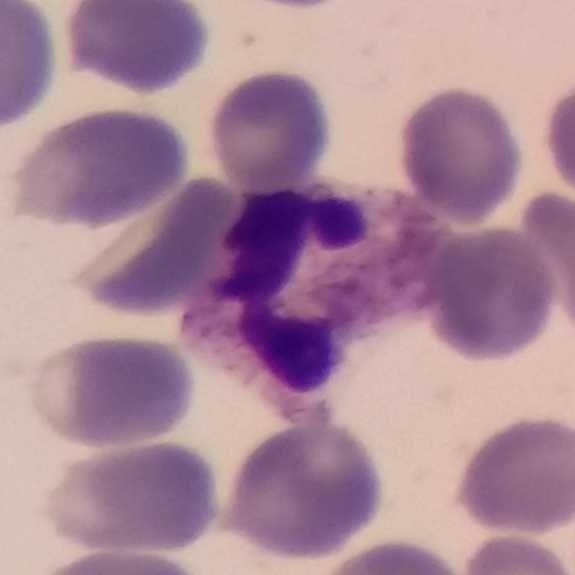
Q: What type of cell is this?
A: Neutrophil granulocyte.
100× magnification · peripheral blood smear.